Image size 575×575 · peripheral blood film · 100× magnification
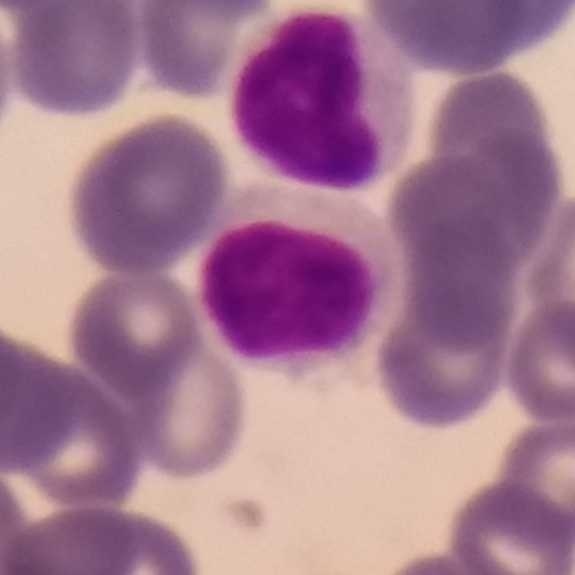 The white blood cell in this image is a lymphocyte.